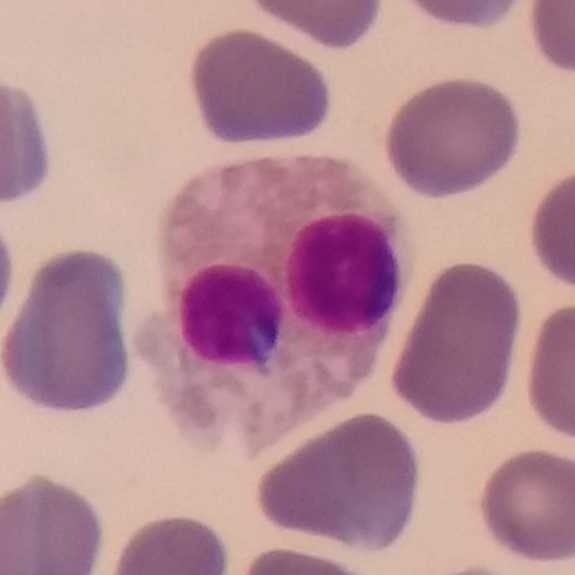 Specimen: peripheral blood film.
White blood cell type: eosinophil.
Lineage: myeloid.